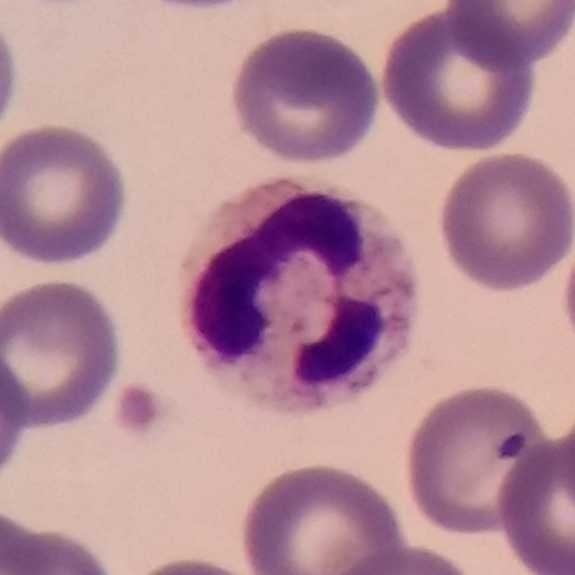

Context: Peripheral blood smear.

Single cell identified as a neutrophil granulocyte.